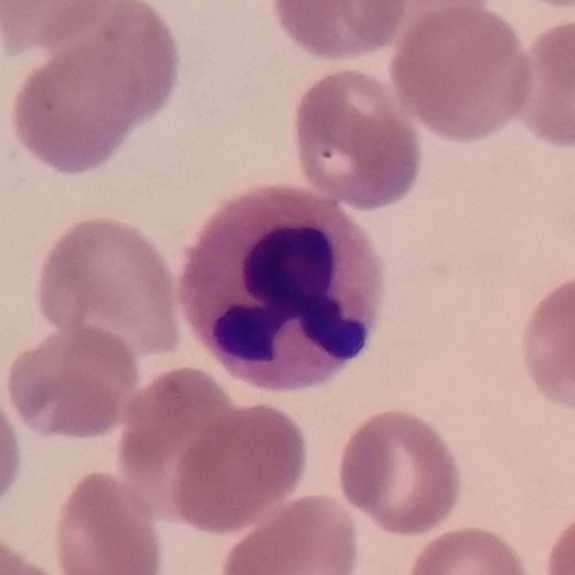
Q: What is the morphological classification of this cell?
A: A neutrophil granulocyte.